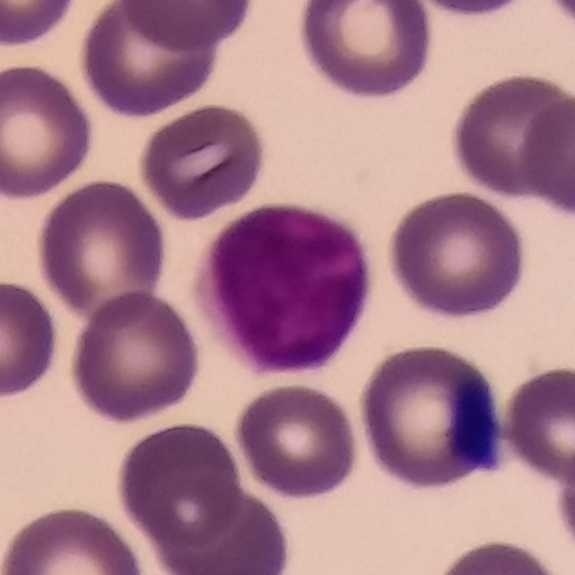
Cell type: lymphocyte.